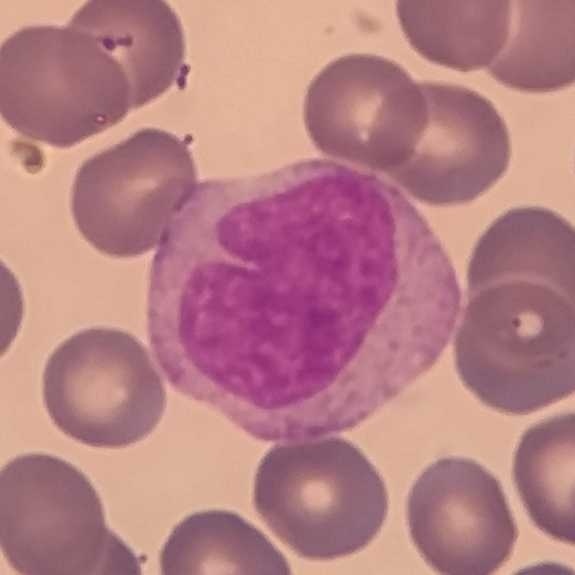

Acquisition: Peripheral blood film.
A monocyte.